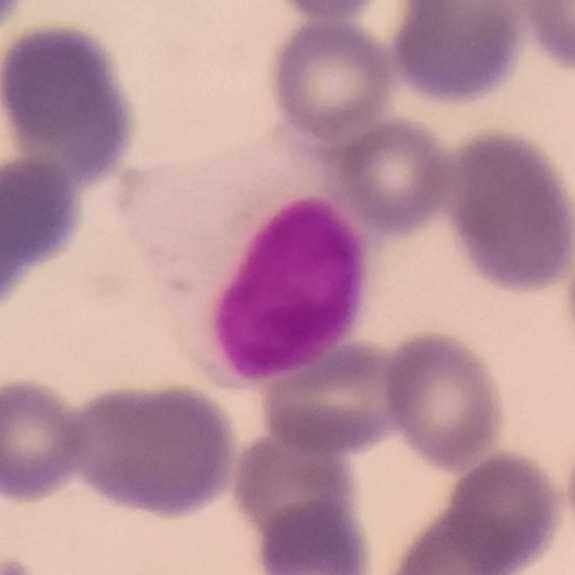
The cell shown is a lymphocyte.